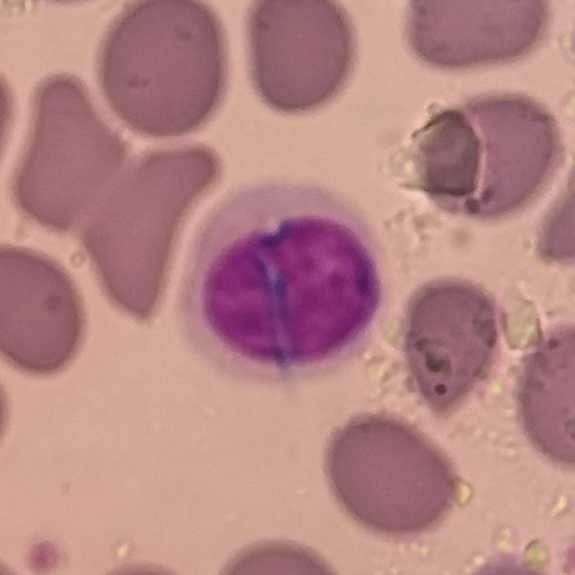

Specimen: peripheral blood smear.
Classification: lymphocyte.